Peripheral blood film: 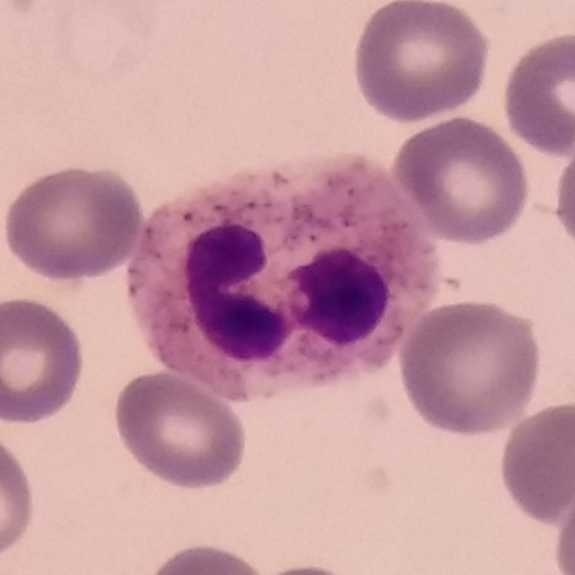

Cell: neutrophil.